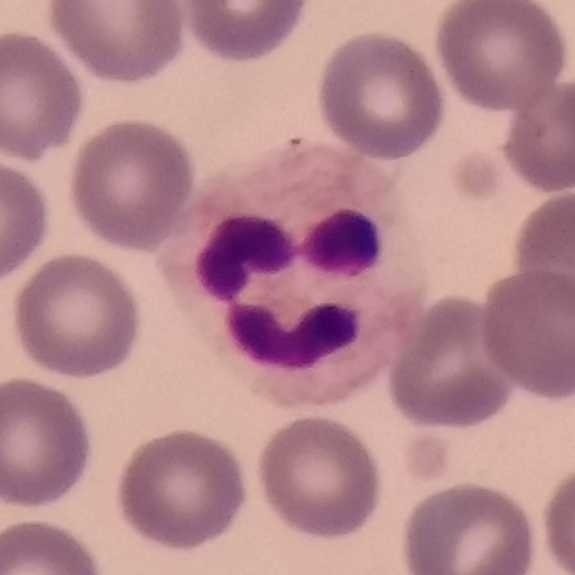
Peripheral blood smear showing a neutrophil.